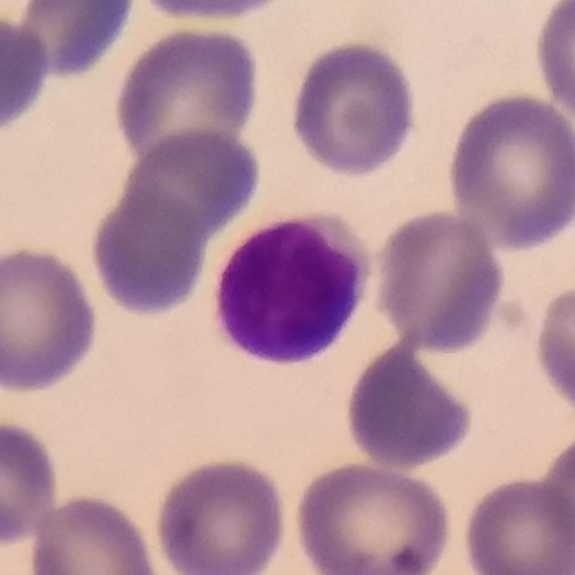
Acquisition: Peripheral blood smear. Stained with Giemsa. Single-cell crop.

The white blood cell in this image is a lymphocyte.